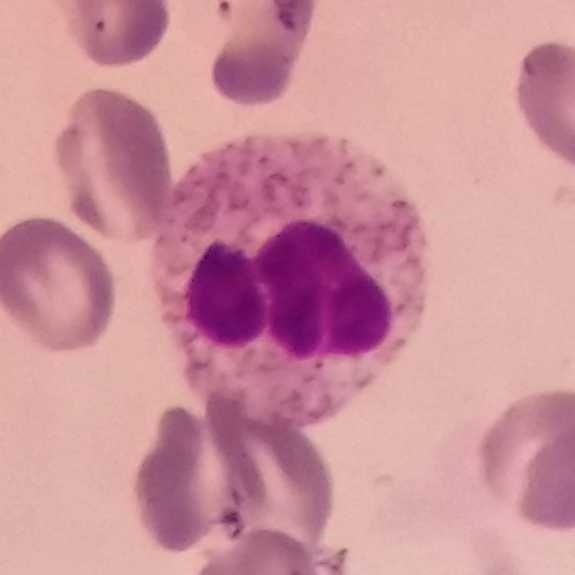

Specimen: peripheral blood film.
Classification: neutrophil.

Context: 575×575 px. Smartphone photomicrograph.